Peripheral blood smear — 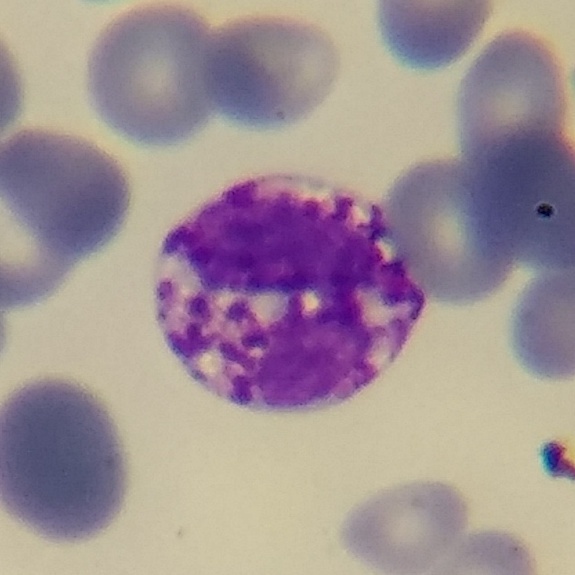

Specimen: peripheral blood smear.
Cell: basophil.